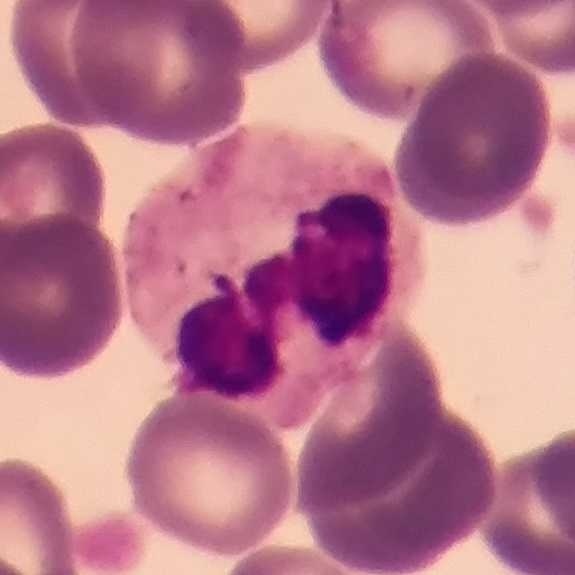 Acquisition: Peripheral blood smear · 100× magnification. Cell — neutrophil granulocyte.